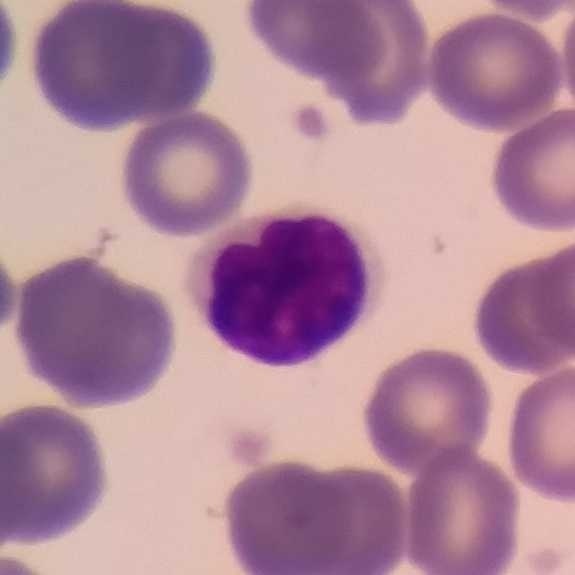Morphology consistent with a lymphocyte.